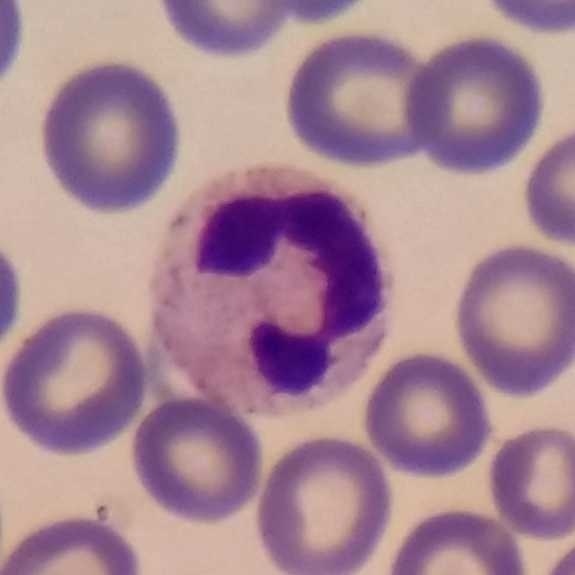
Image: Giemsa-stained. Peripheral blood smear. Cell: neutrophil.